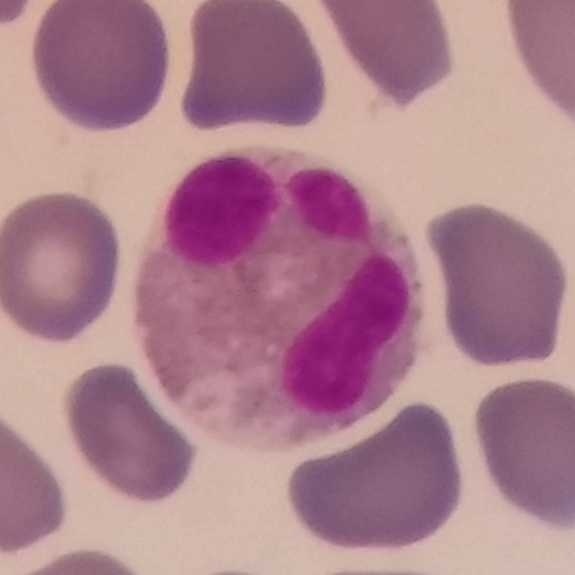Morphology → eosinophil.
Acquisition: Peripheral blood film · 575×575 px.